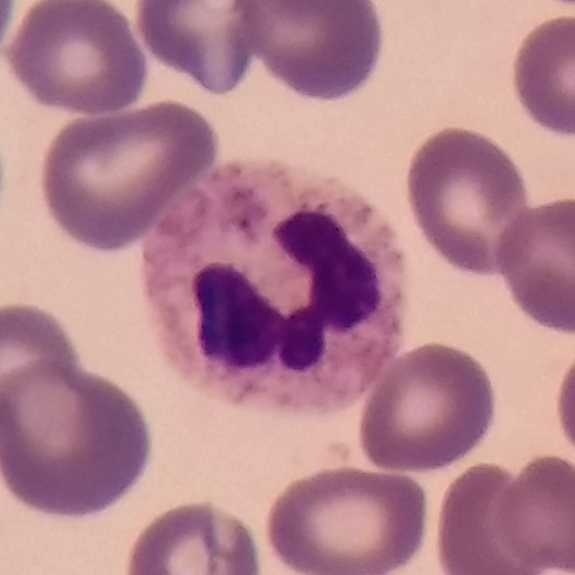

Context: 575 by 575 pixels. Peripheral blood smear.
Classification — neutrophil granulocyte.